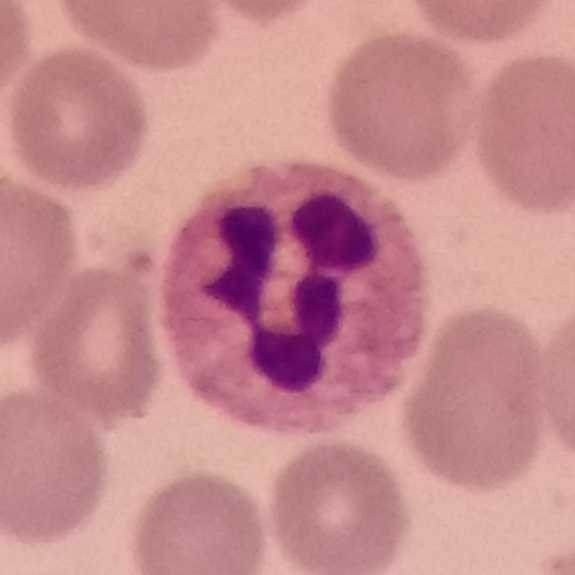
Q: What cell is this?
A: Neutrophil.

Image: Peripheral blood film.